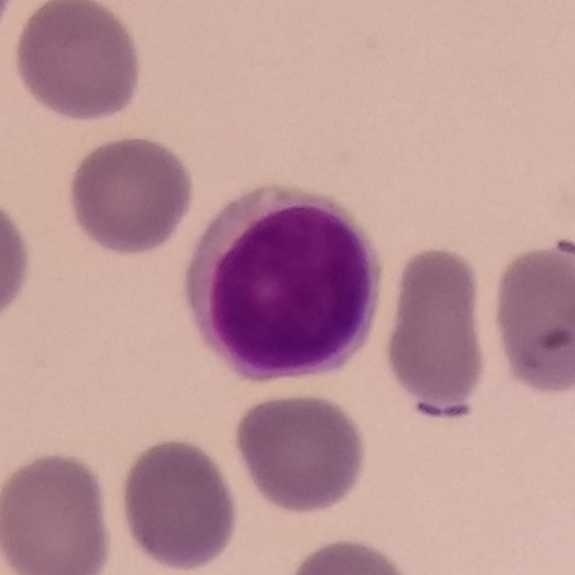

Showing a lymphocyte. Peripheral blood smear.